Single-cell crop; peripheral blood smear
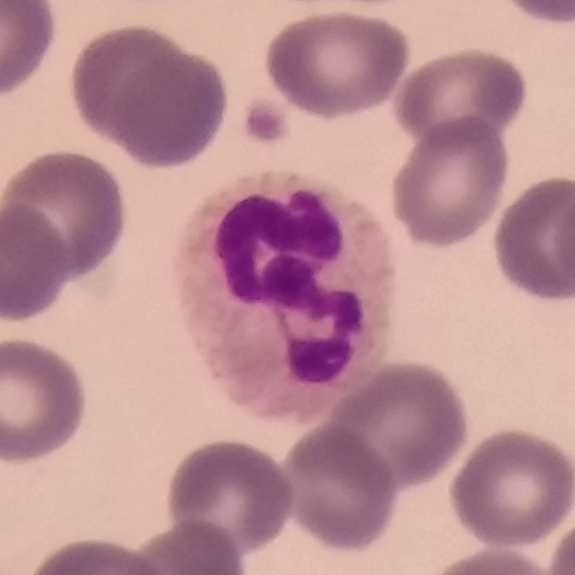Specimen: peripheral blood smear.
White blood cell type: neutrophilic granulocyte.
Lineage: myeloid.